Peripheral blood smear · smartphone camera mounted on the microscope eyepiece — 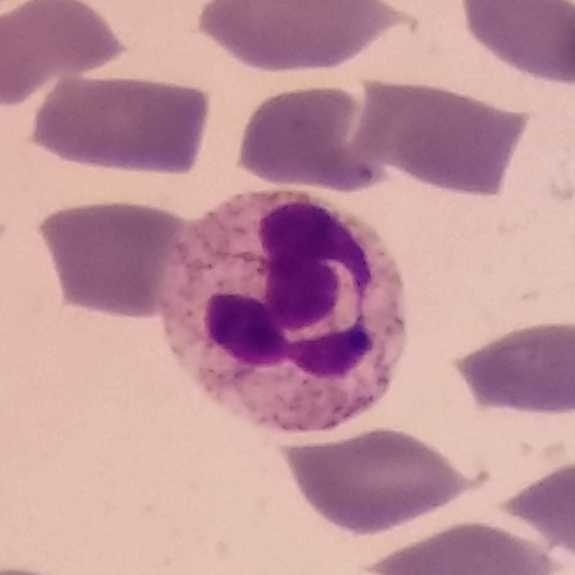
White blood cell type — neutrophil granulocyte.